Peripheral blood film. 100× magnification:
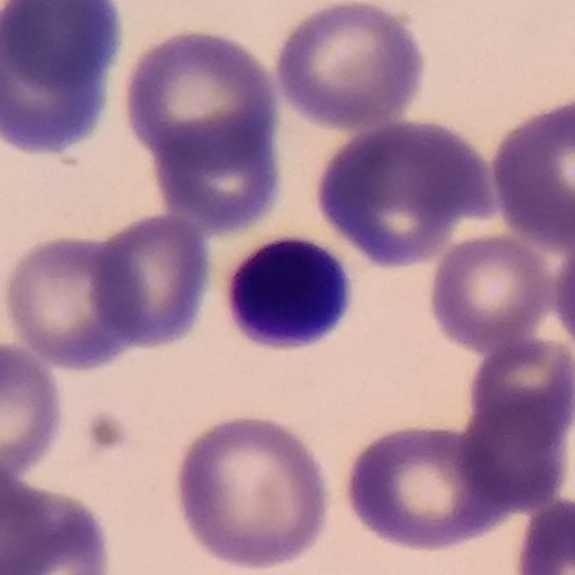 Identified as a lymphocyte.